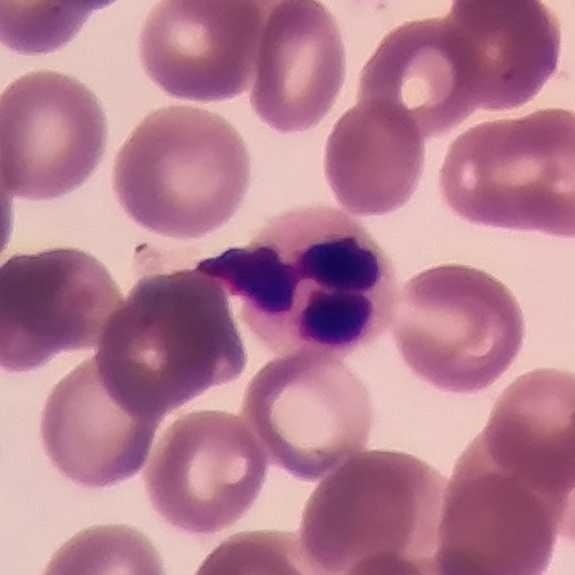 White blood cell type: neutrophilic granulocyte.

Acquisition: Stained with Giemsa · peripheral blood film · 575×575.